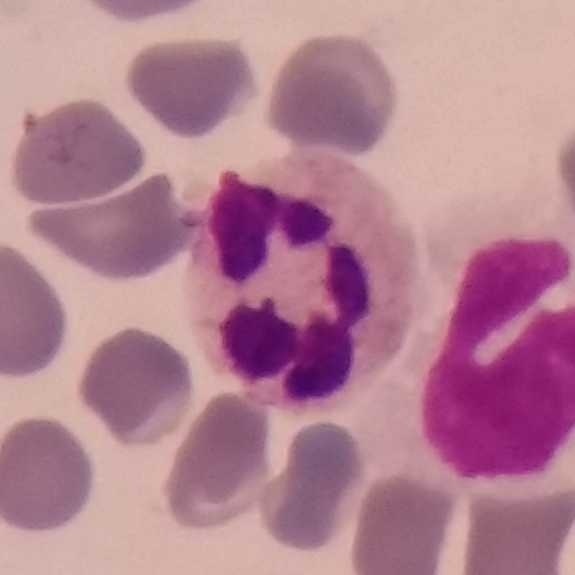Peripheral blood film; smartphone photomicrograph.
Neutrophil.